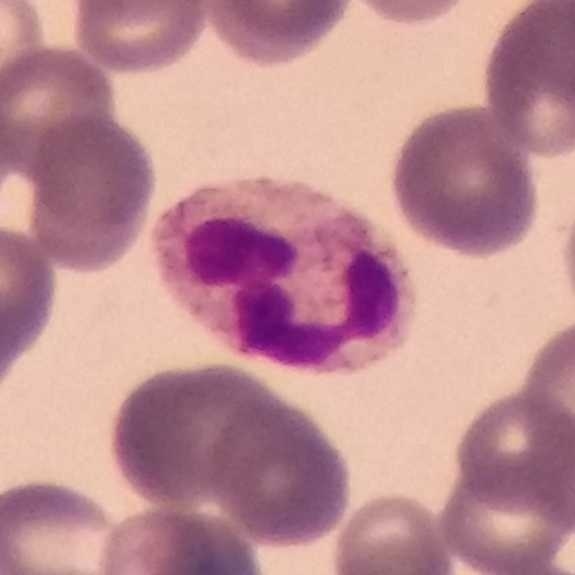
White blood cell type: neutrophil granulocyte.